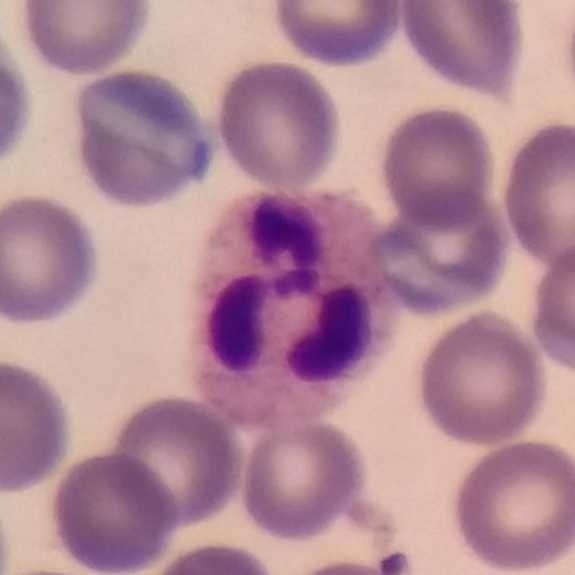

Morphological class: neutrophilic granulocyte.
Peripheral blood film · 575 by 575 pixels.